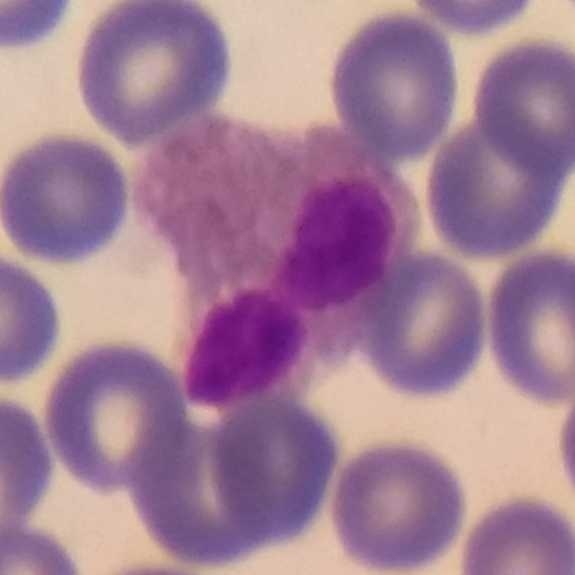Q: What is the morphological classification of this cell?
A: It is an eosinophil.